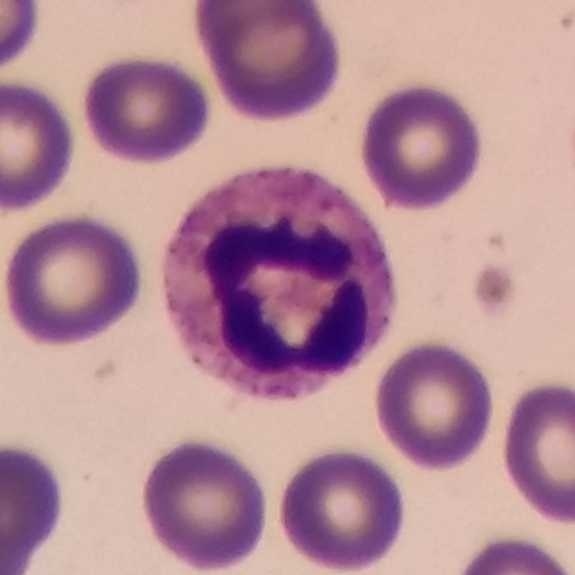Impression — neutrophilic granulocyte.
Peripheral blood smear.